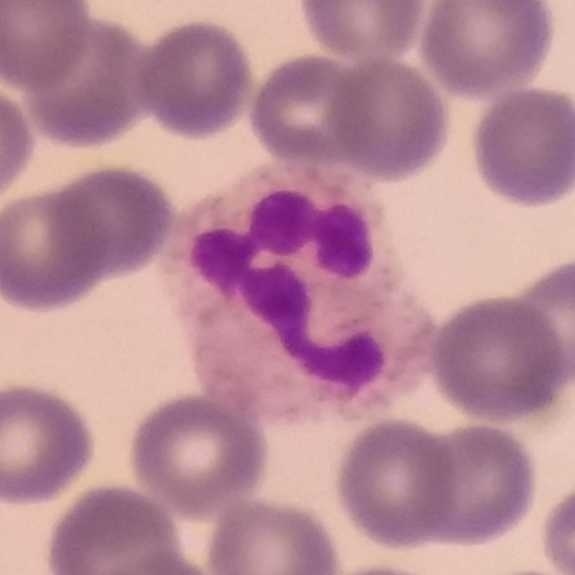

Classification — neutrophil granulocyte.